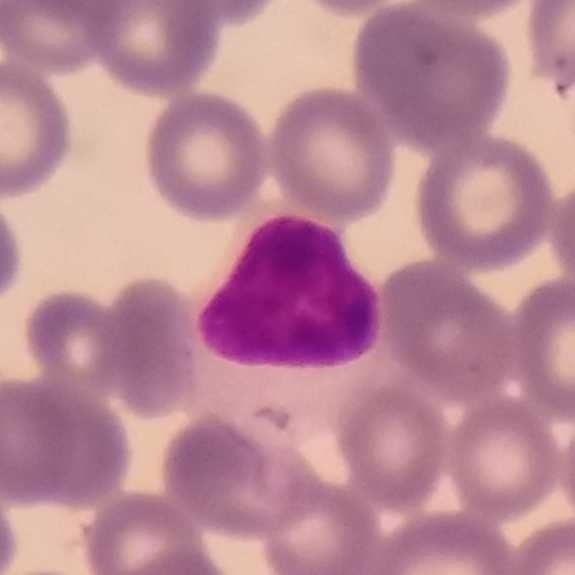
Specimen: peripheral blood film.
Morphological class: lymphocyte.
Lineage: lymphoid.